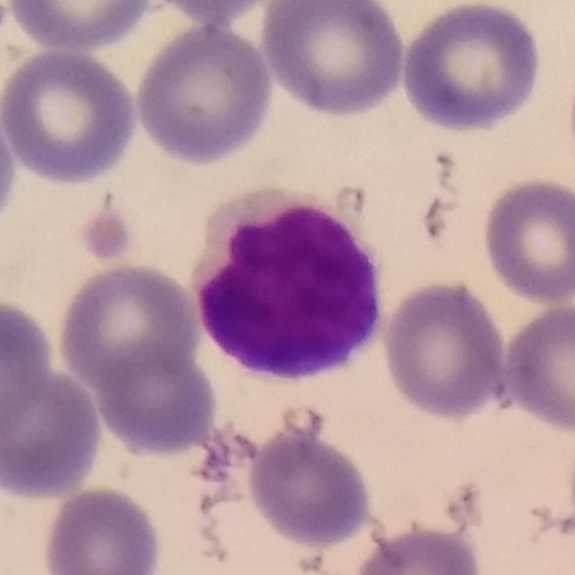
The white blood cell type is lymphocyte. Preparation: Giemsa-stained · peripheral blood film.